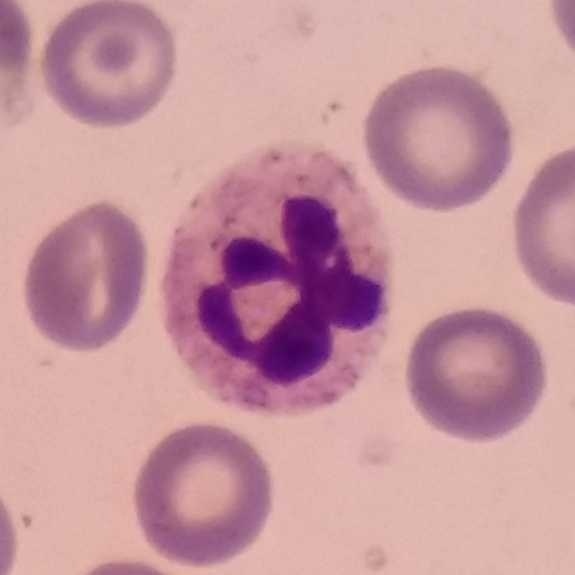

White blood cell type: neutrophil granulocyte.